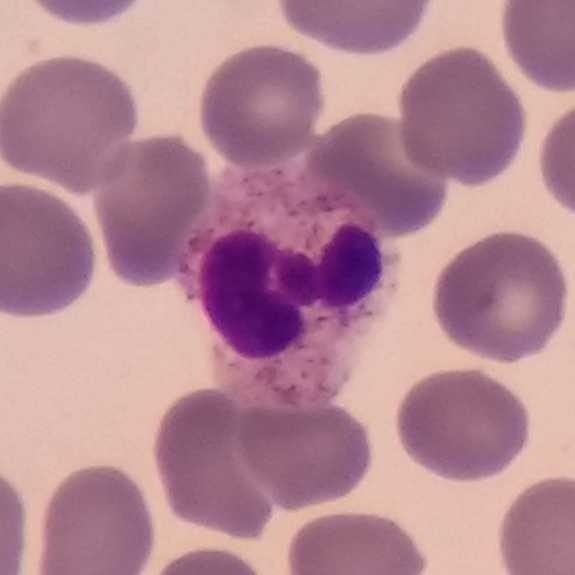

Preparation: Peripheral blood smear; 575 by 575 pixels. Single cell identified as a neutrophil.